Peripheral blood film — 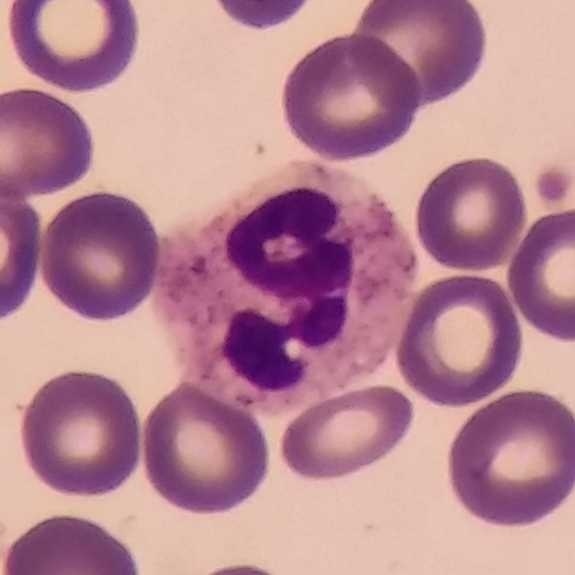 Morphology consistent with a neutrophilic granulocyte.